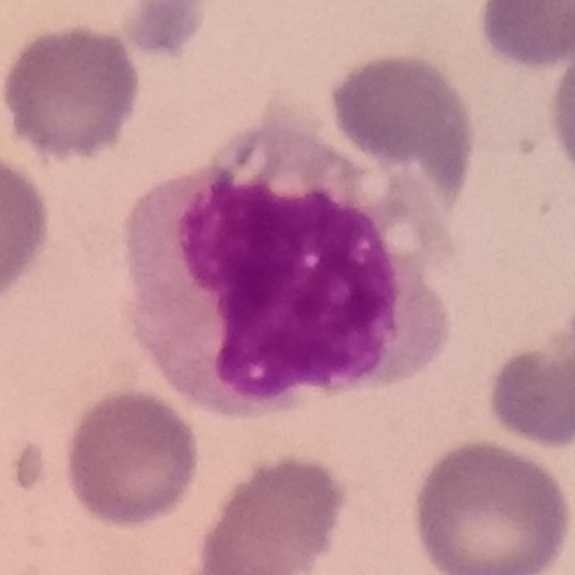
Classification — monocyte.